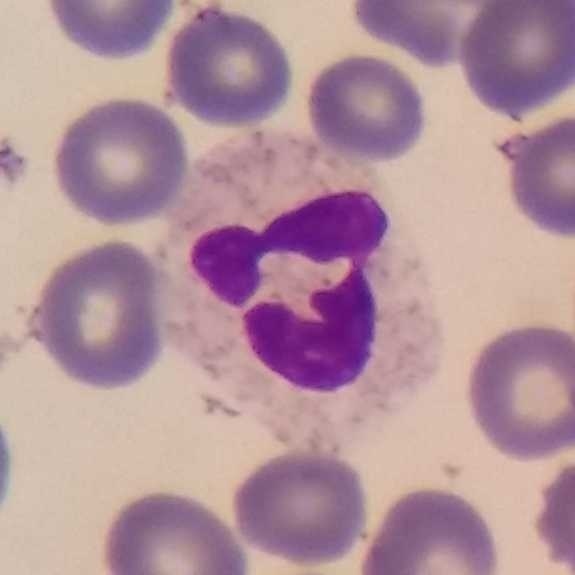This is a neutrophilic granulocyte.
Context: Peripheral blood smear.